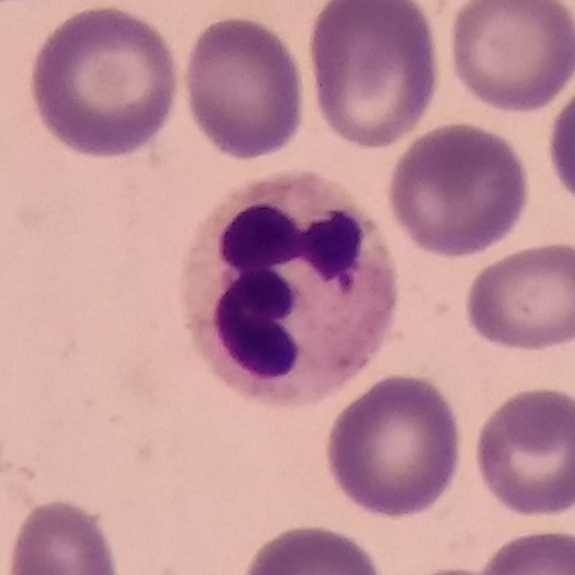

Context: Peripheral blood film.

Q: Which cell type is shown here?
A: A neutrophilic granulocyte.